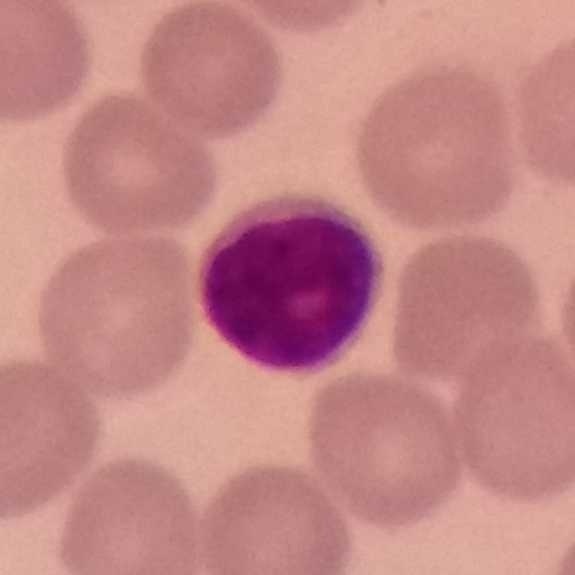

Specimen: peripheral blood film.
Morphological class: lymphocyte.